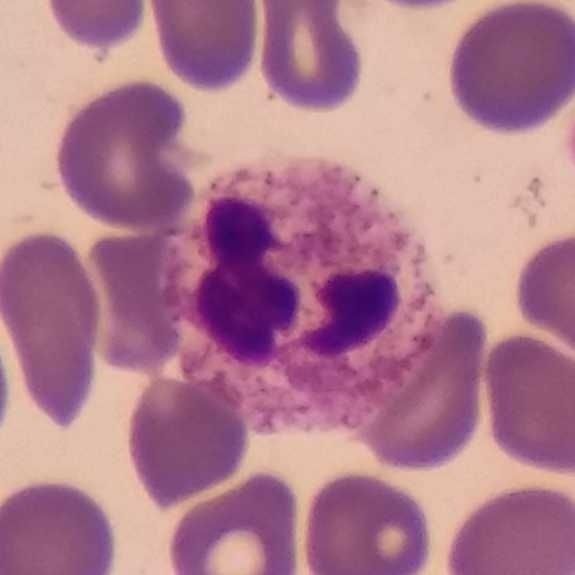
Morphology consistent with a neutrophil granulocyte. Context: Peripheral blood smear.